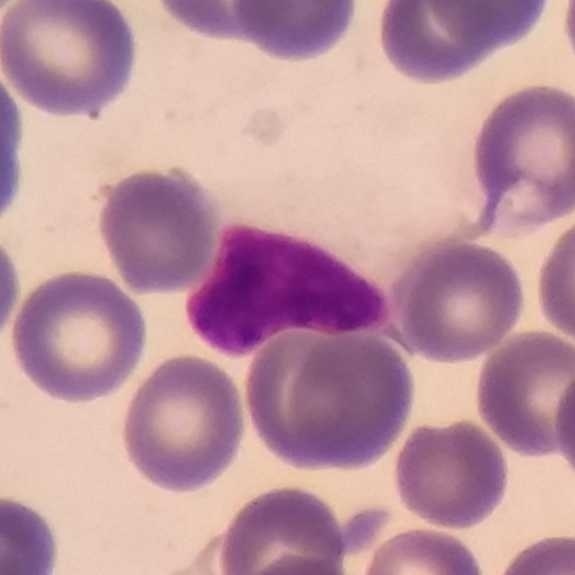Q: Identify the cell.
A: Lymphocyte.